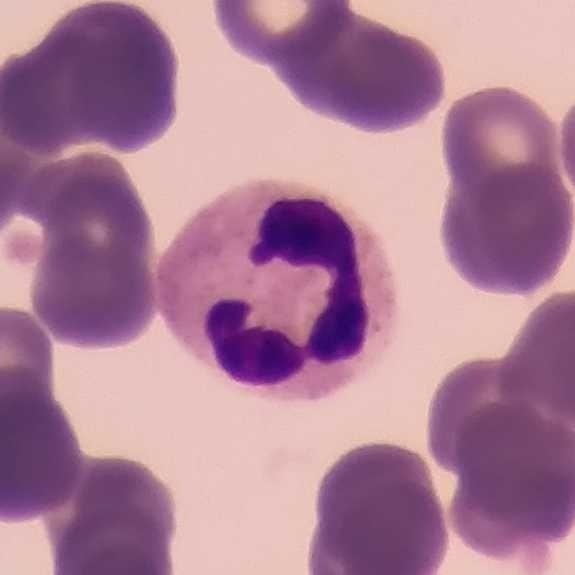

Morphology — neutrophilic granulocyte.